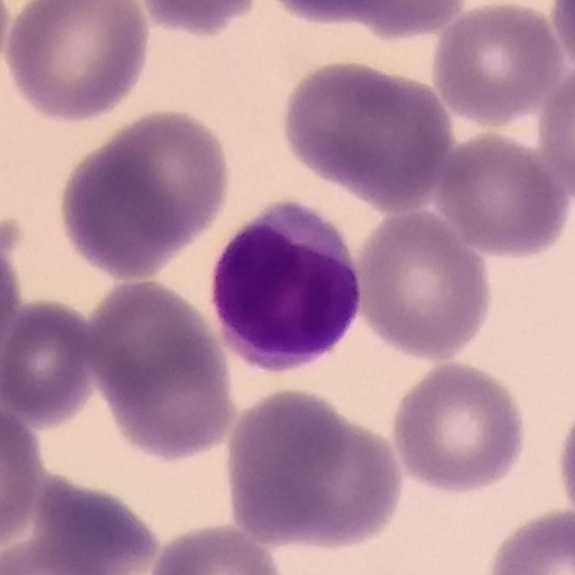 Acquisition: Peripheral blood film.

Morphology — lymphocyte.